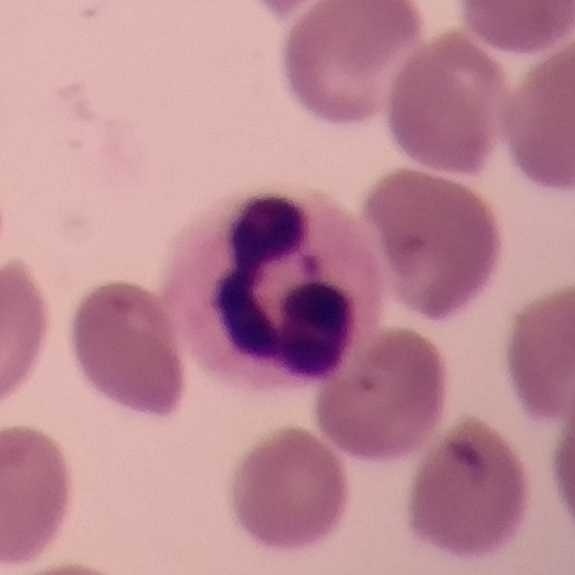 Peripheral blood film. Identified as a neutrophilic granulocyte.